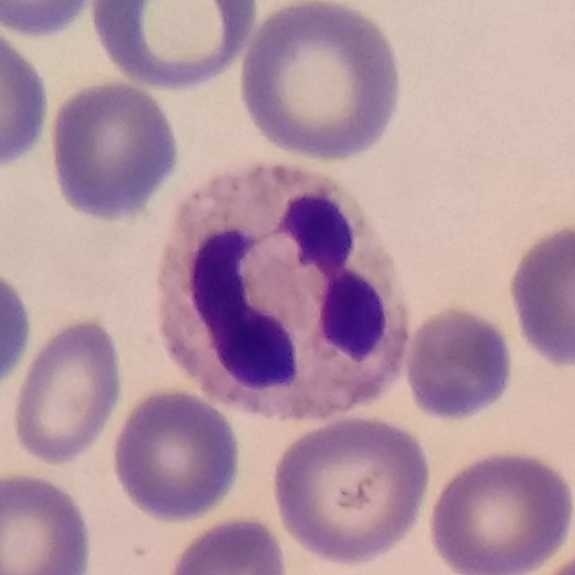 Single cell identified as a neutrophilic granulocyte. Acquisition: Magnification 100×. Peripheral blood film.